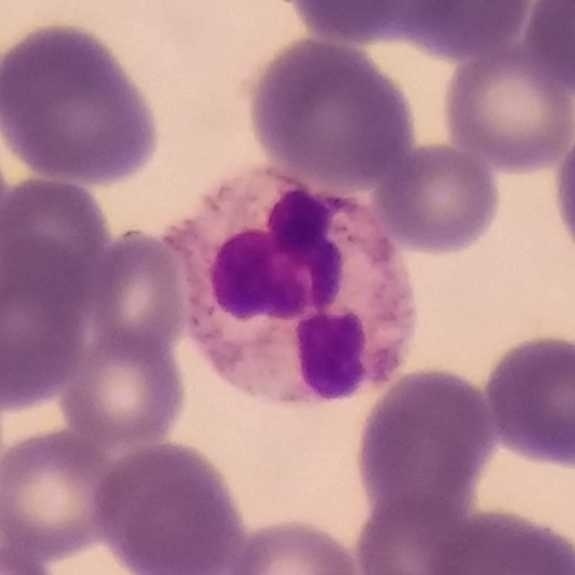

Single cell identified as a neutrophil granulocyte.

Image: 575 by 575 pixels · peripheral blood film · photographed through a light microscope with a smartphone camera.